Peripheral blood film · image size 575×575 — 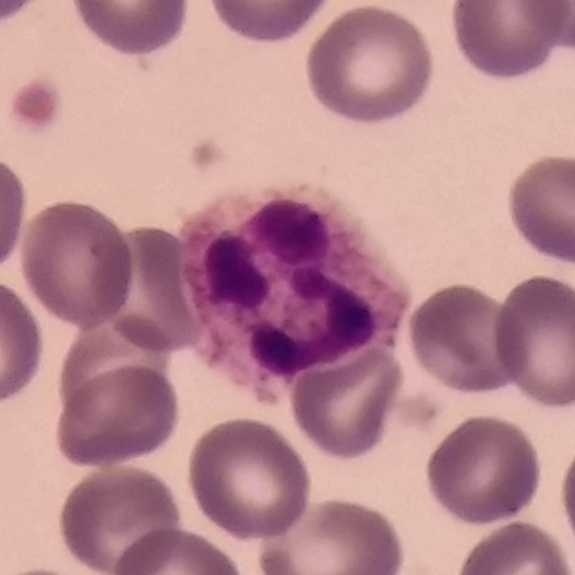 A neutrophil.